Peripheral blood film.
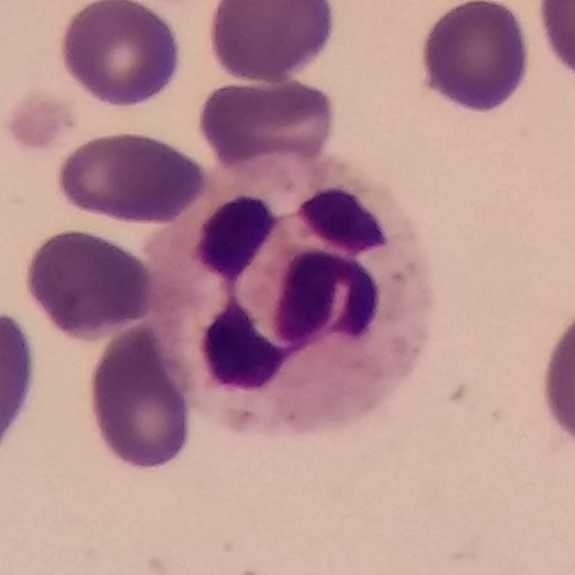 Specimen: peripheral blood smear.
White blood cell type: neutrophilic granulocyte.